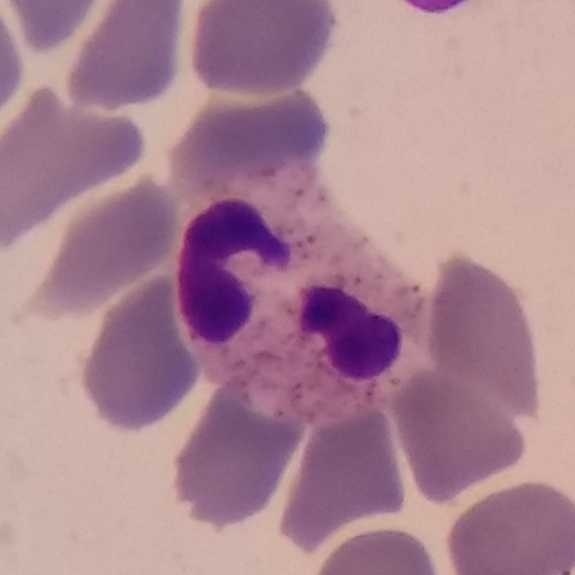Specimen: peripheral blood film.
Classification: neutrophilic granulocyte.
Lineage: myeloid.